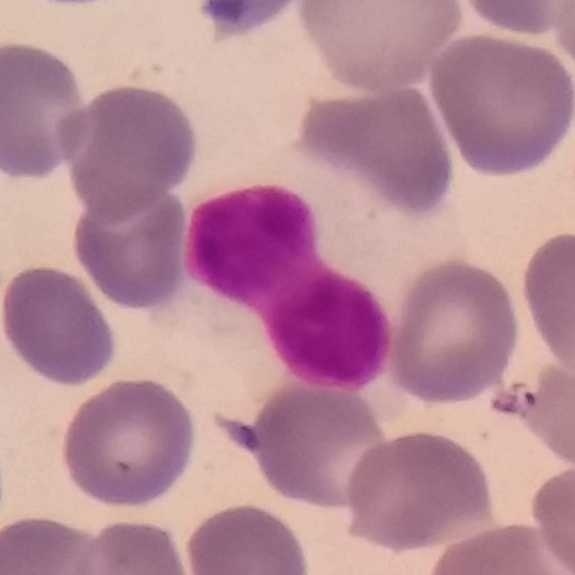
Q: Classify this leukocyte.
A: It is a lymphocyte. Acquisition: Peripheral blood smear.